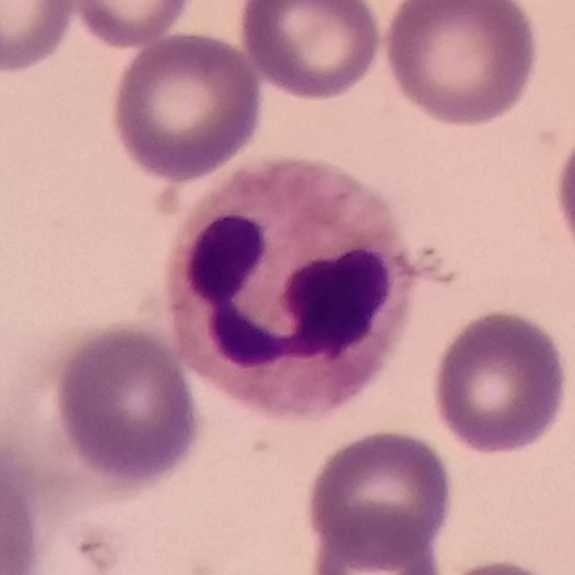
Single cell identified as a neutrophil.